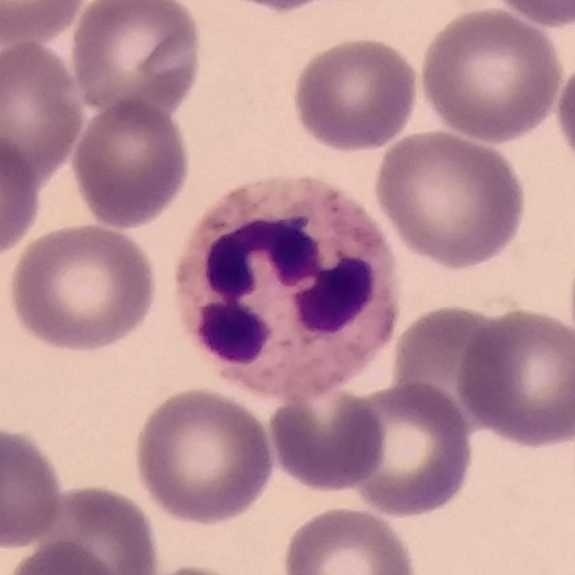 Context: Peripheral blood smear. Q: What cell is this?
A: It is a neutrophil granulocyte.